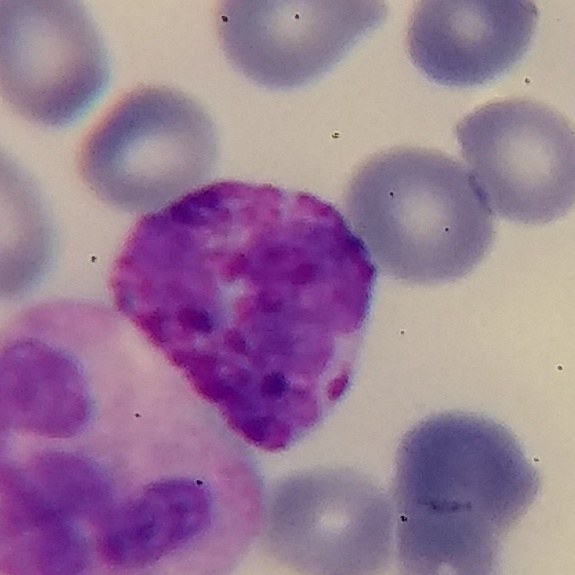

Peripheral blood smear · photographed through a light microscope with a smartphone camera. White blood cell type: basophilic granulocyte.